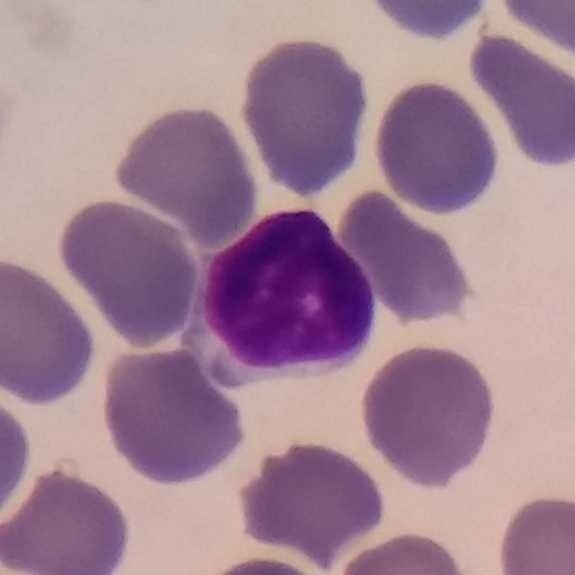

Context: Peripheral blood smear.

Cell: lymphocyte.